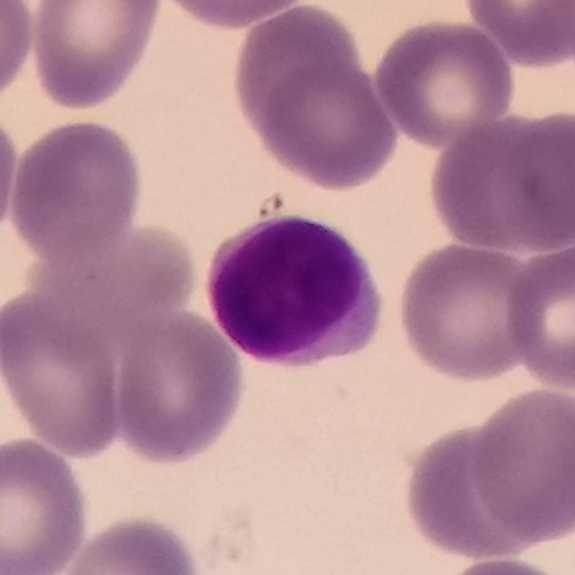

This is a lymphocyte.
Giemsa stain. Peripheral blood film.